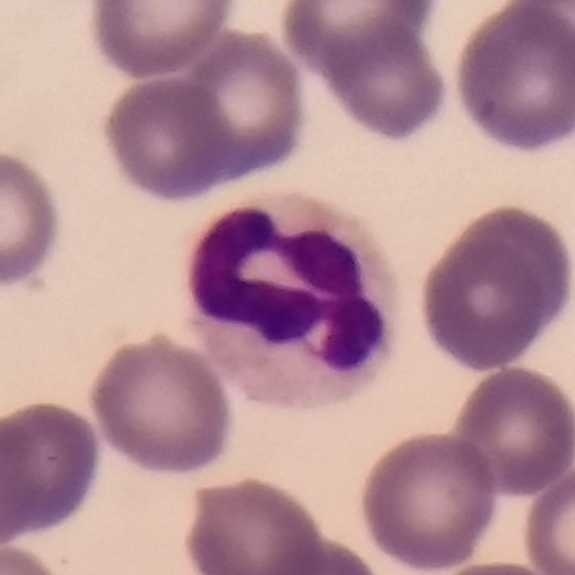A neutrophilic granulocyte.

Peripheral blood film.